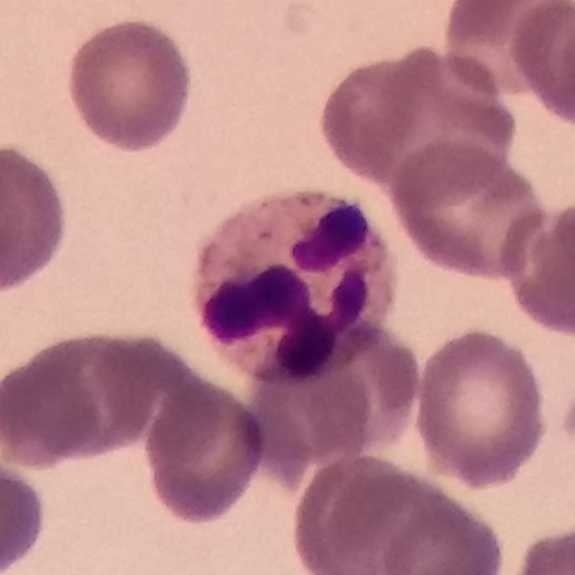Q: What is this?
A: A neutrophil granulocyte.
Context: Peripheral blood film.